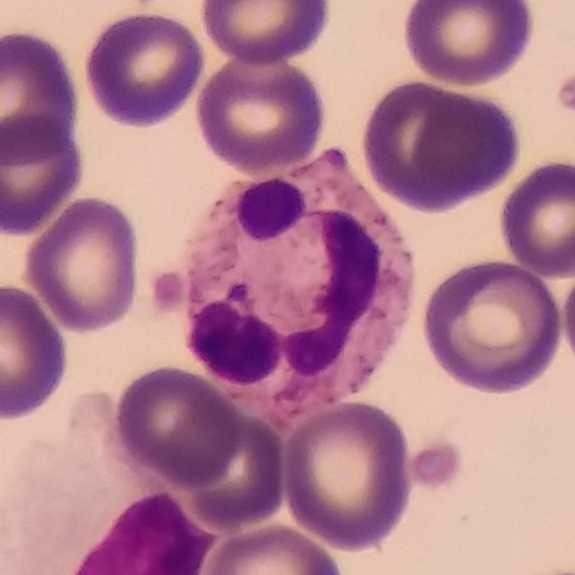

Acquisition: Peripheral blood smear. Single white blood cell cropped from the smear photograph. Image size 575×575.

Showing a neutrophil granulocyte.